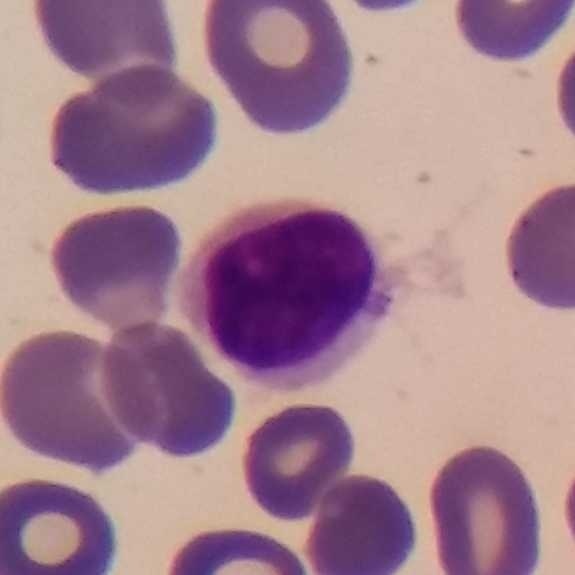 The cell shown is a lymphocyte. Peripheral blood smear.